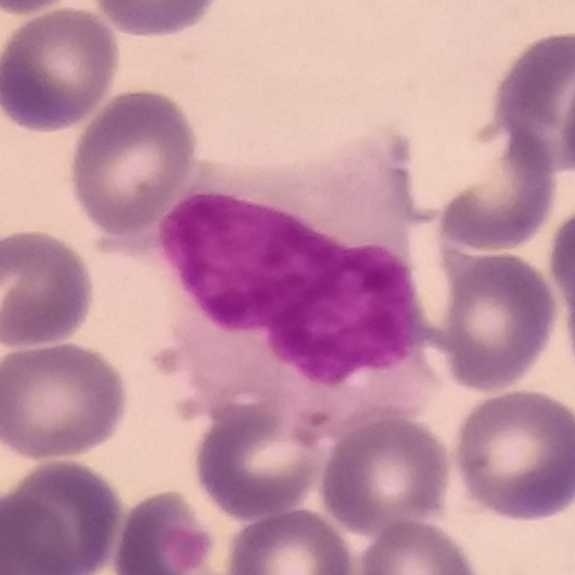White blood cell type — monocyte.
Imaged at 100×. Peripheral blood film.